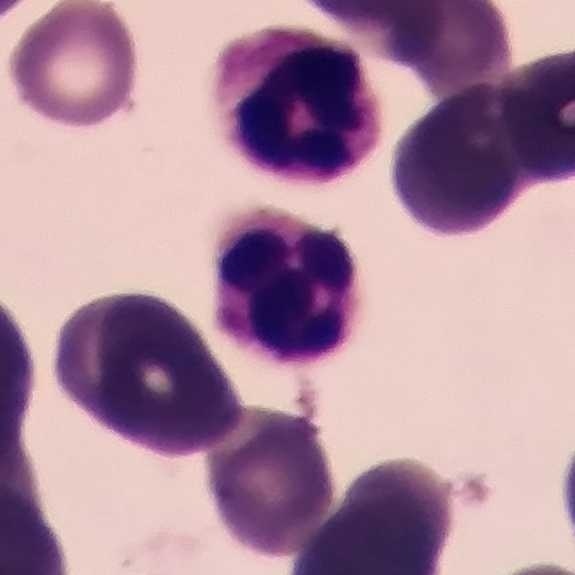

Q: What is this?
A: A neutrophil granulocyte.